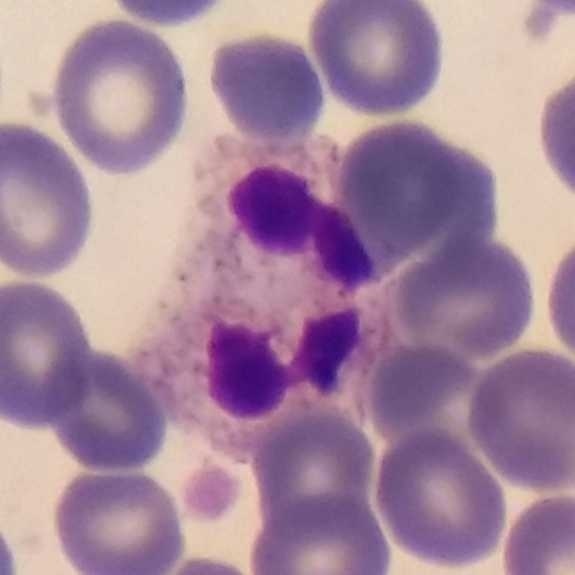
The cell type is neutrophil.